Giemsa-stained; peripheral blood smear; cropped to one leukocyte — 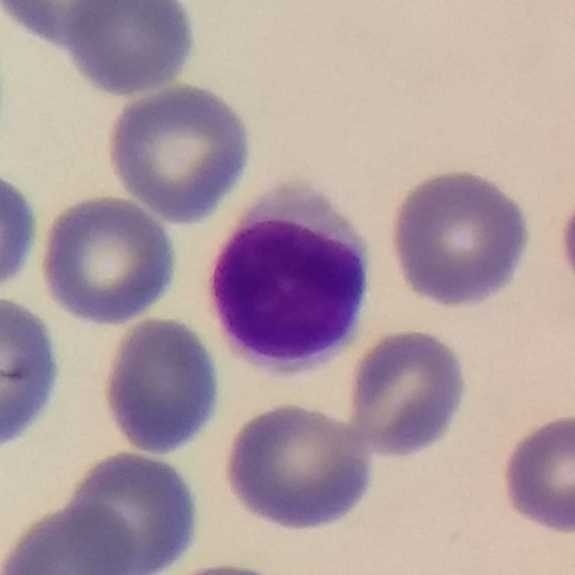
Lymphocyte.